Peripheral blood film. 575 by 575 pixels: 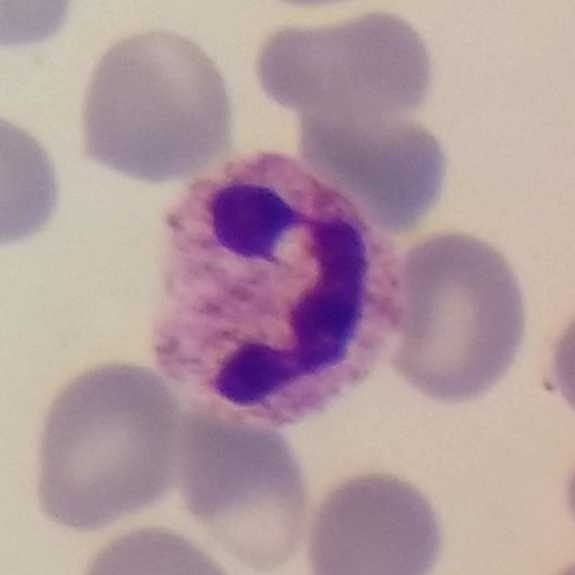White blood cell type: neutrophilic granulocyte.